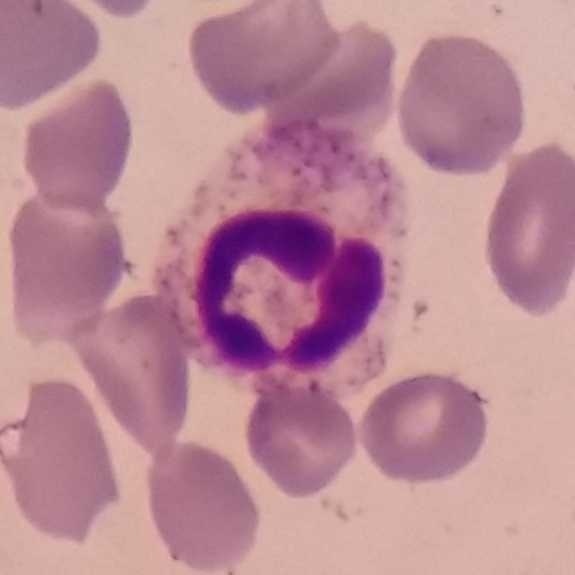 Cell type — neutrophil granulocyte. Preparation: Peripheral blood film.